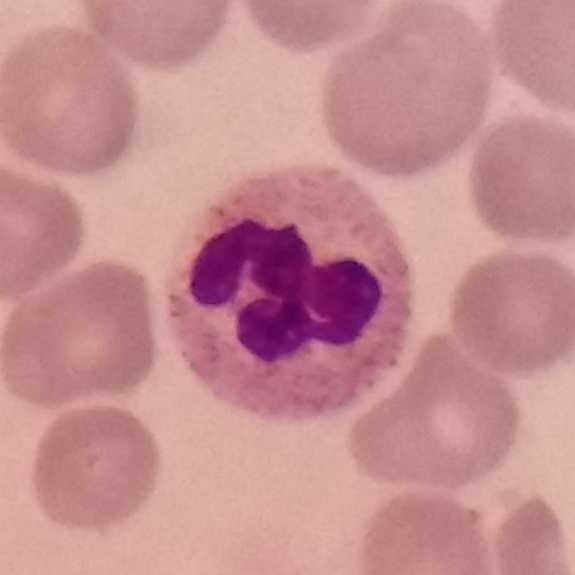
{"cell_type": "neutrophil granulocyte", "lineage": "myeloid"} Context: Peripheral blood film.